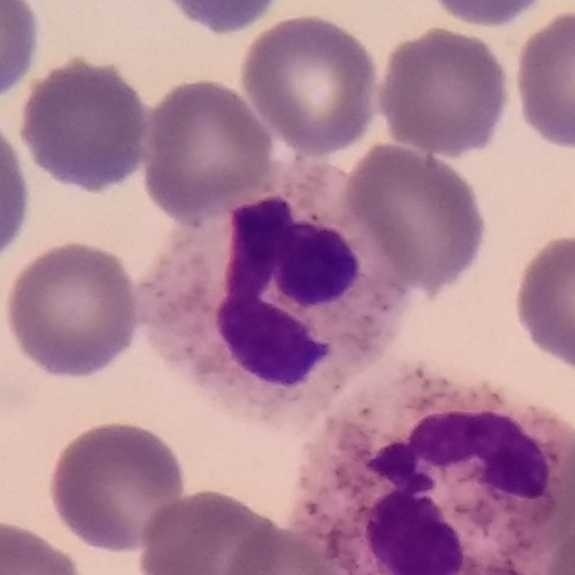Identified as a neutrophil.
Image: Peripheral blood film.